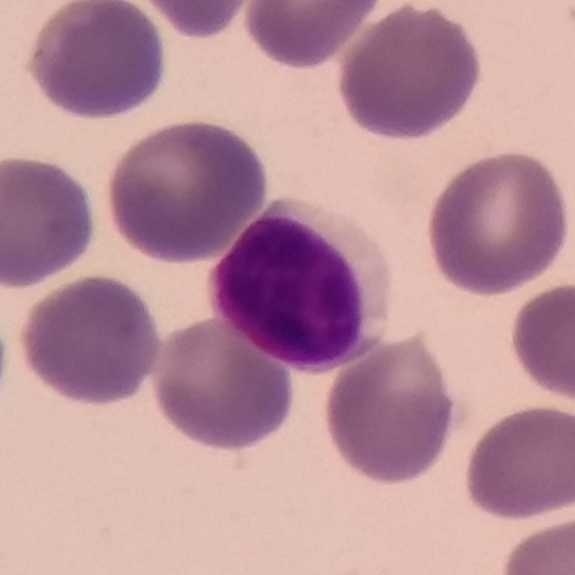 Lymphocyte.